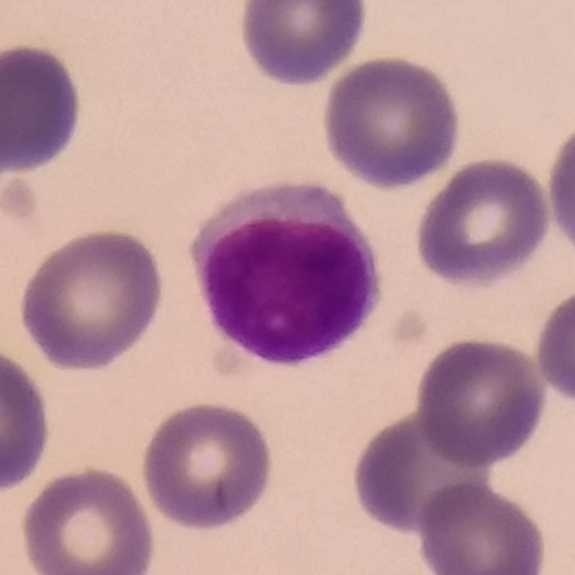 Q: What cell is this?
A: It is a lymphocyte.

Context: Peripheral blood smear.